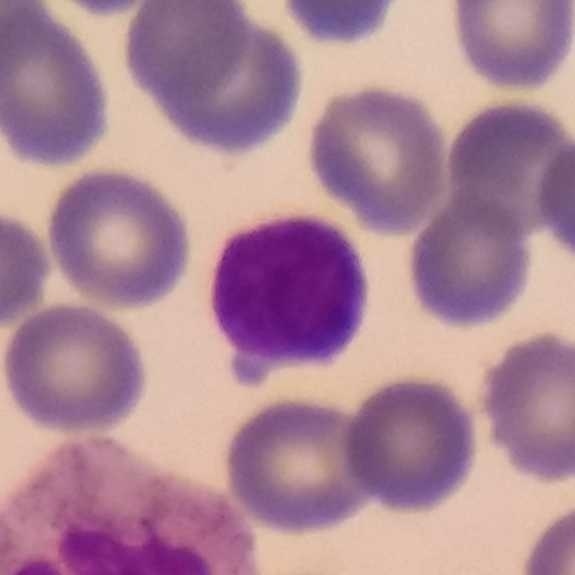

Image: Smartphone photomicrograph. 575 by 575 pixels. Peripheral blood film.
Cell type = lymphocyte.